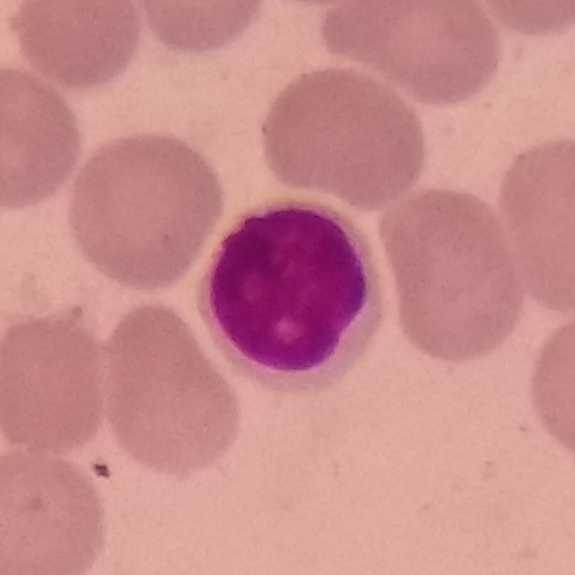A lymphocyte.